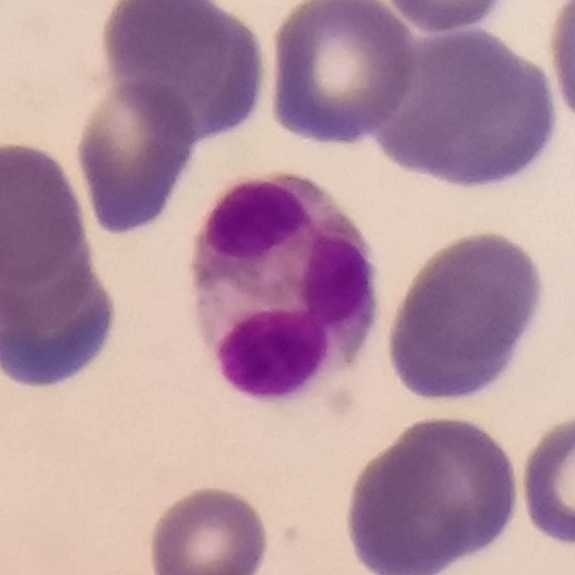

Q: What is shown here?
A: This is an eosinophilic granulocyte.

Context: Peripheral blood film.